Single white blood cell cropped from the smear photograph. 100× magnification. Peripheral blood film:
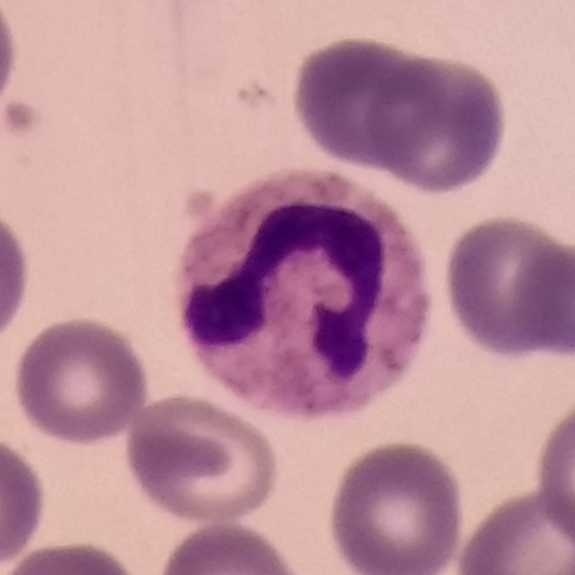 Q: What is the morphological classification of this cell?
A: This is a neutrophil granulocyte.